Peripheral blood film. Giemsa-stained.
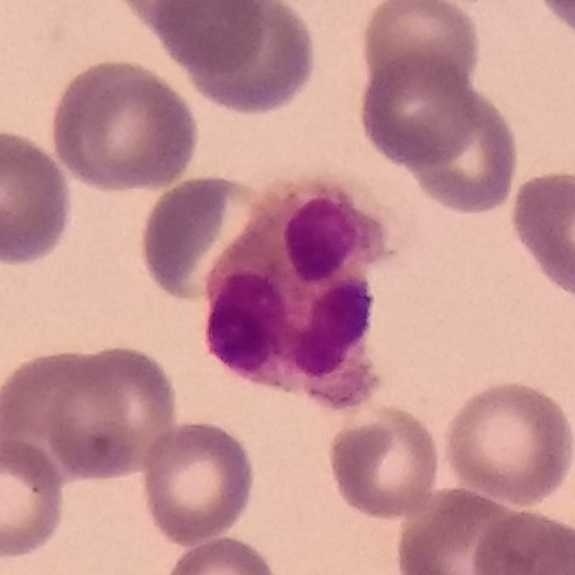
{"cell_type": "neutrophil granulocyte", "lineage": "myeloid"}